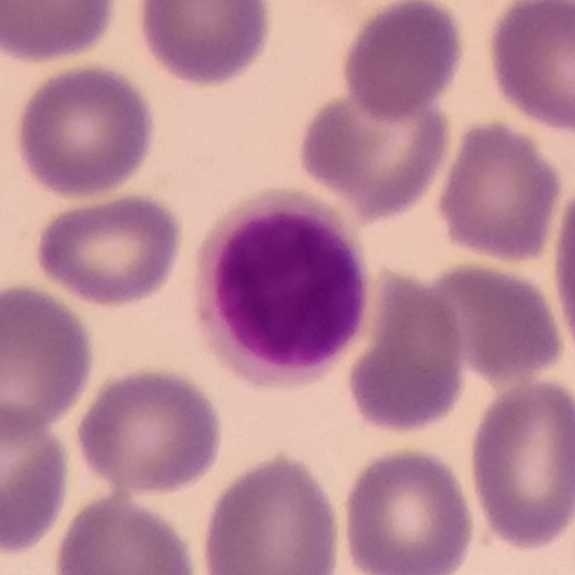
The white blood cell type is lymphocyte.

Peripheral blood smear.